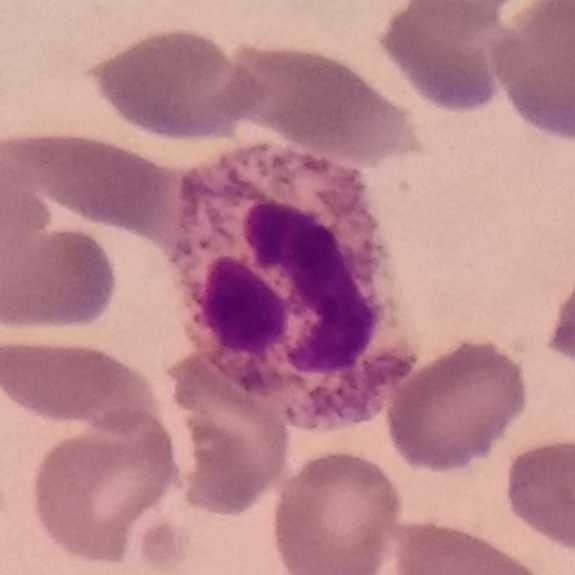{"cell_type": "neutrophil", "lineage": "myeloid"}
Preparation: Peripheral blood smear.